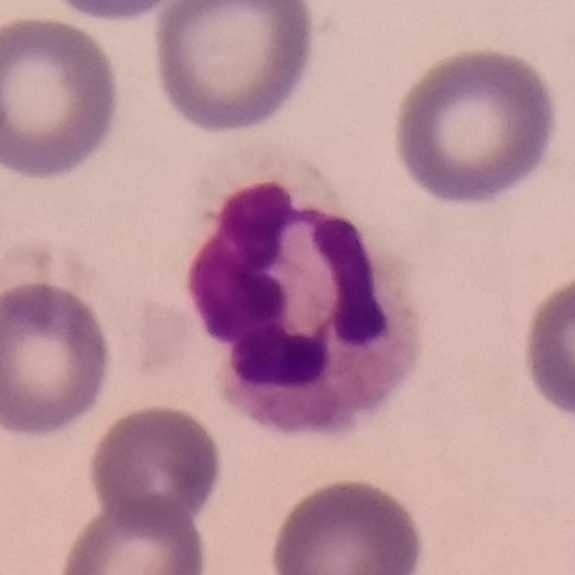Peripheral blood film · single-cell crop.
A neutrophilic granulocyte.